Giemsa-stained; peripheral blood film.
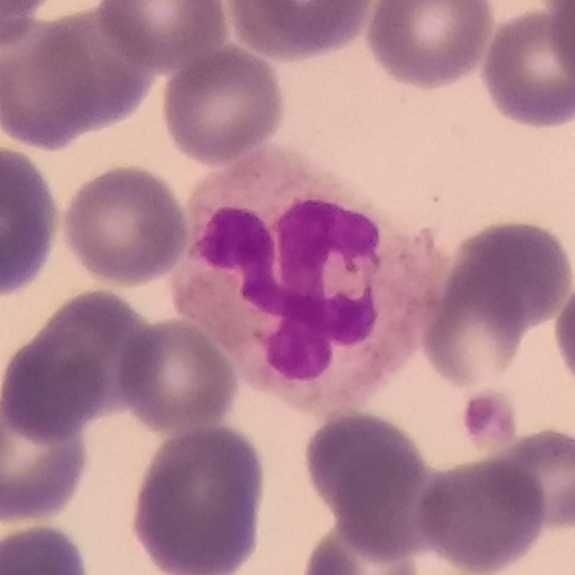
Specimen: peripheral blood film.
Cell type: neutrophil granulocyte.
Lineage: myeloid.